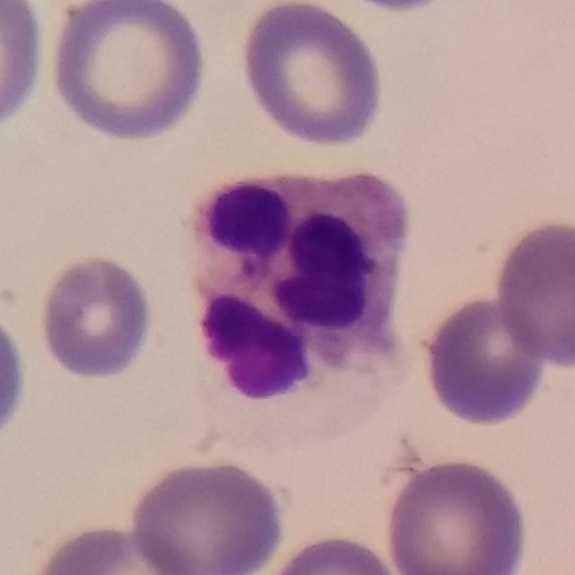
Peripheral blood film.
Showing a neutrophil.